Peripheral blood film.
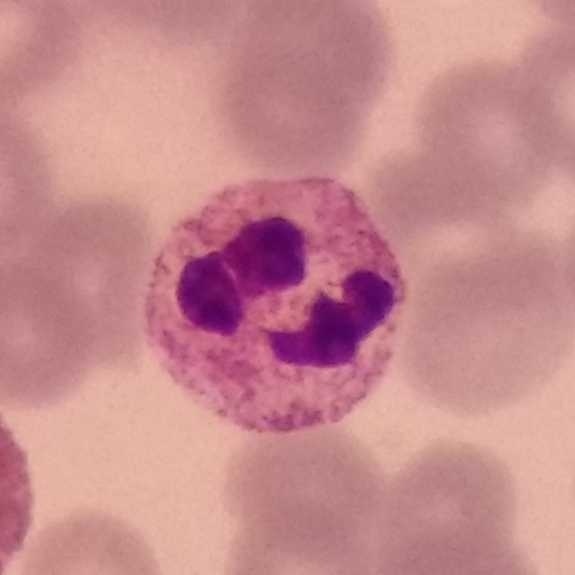The white blood cell in this image is a neutrophil granulocyte.